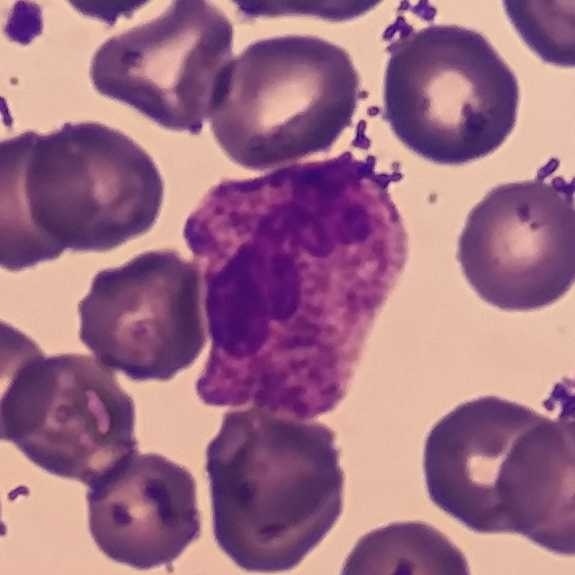 Peripheral blood film, single cell — neutrophil.